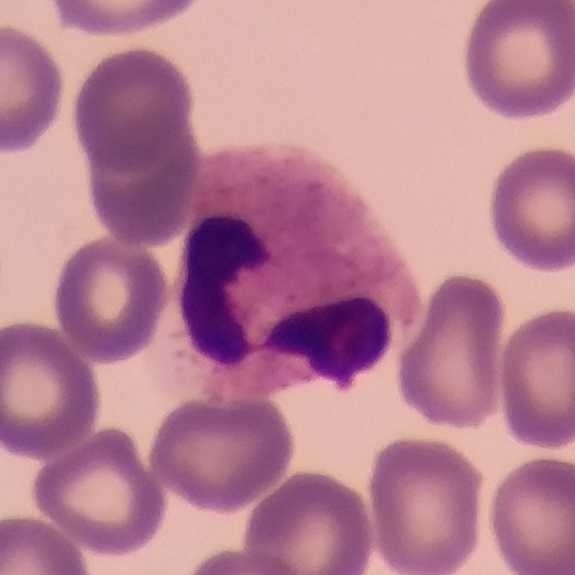

Cell type = neutrophilic granulocyte.